Peripheral blood film
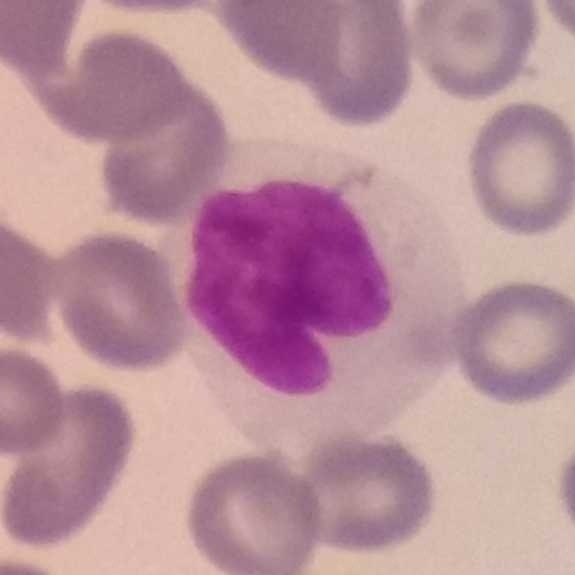

Morphology consistent with a monocyte.